Peripheral blood smear: 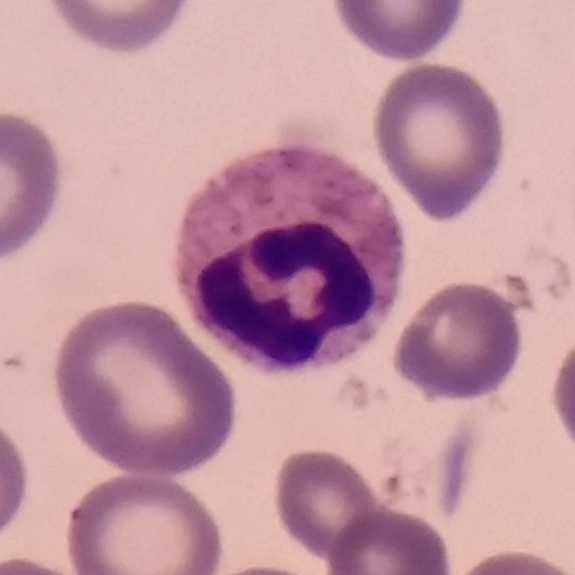 Cell = neutrophil granulocyte.